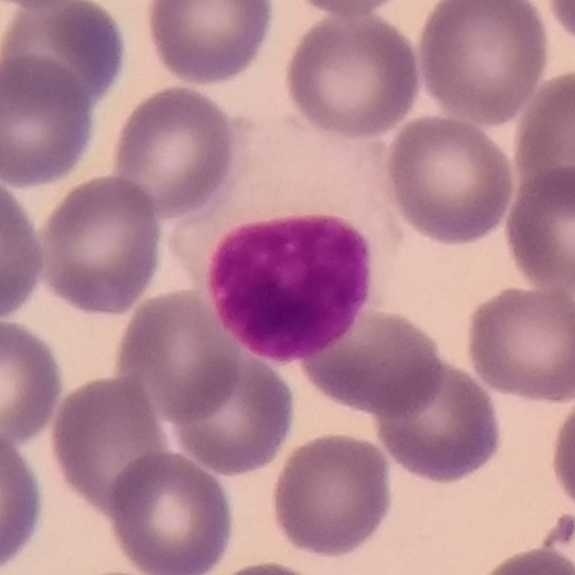 Image: Peripheral blood smear.
Q: What is shown here?
A: A lymphocyte.